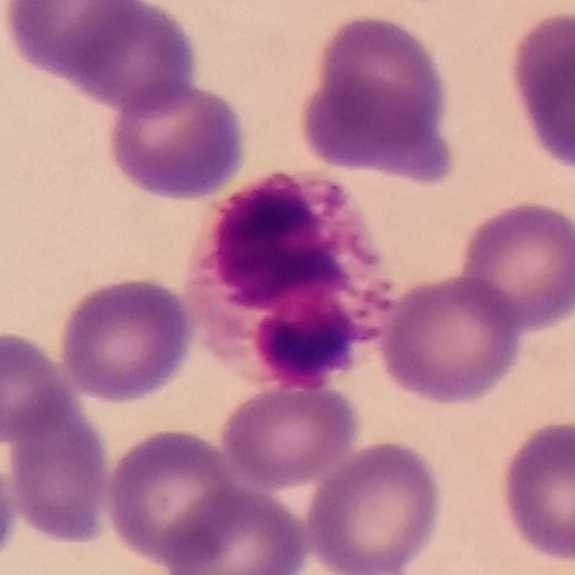
Image: Peripheral blood film. 575×575 px. Magnification 100×.

Morphology → neutrophil.